Peripheral blood film.
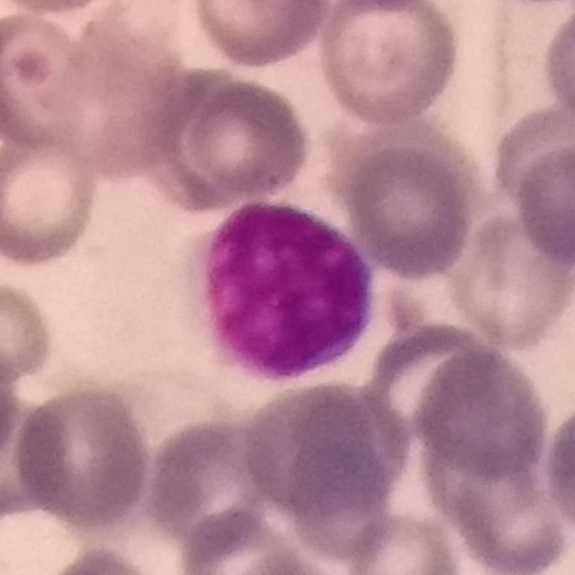Impression — lymphocyte.